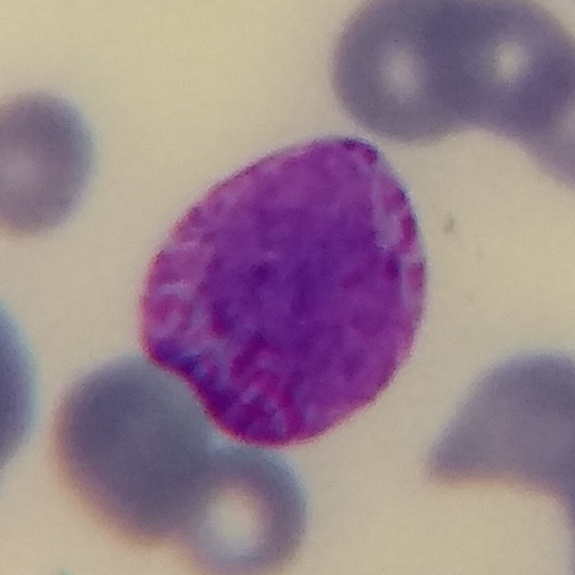Context: Peripheral blood smear.
The cell is basophilic granulocyte.